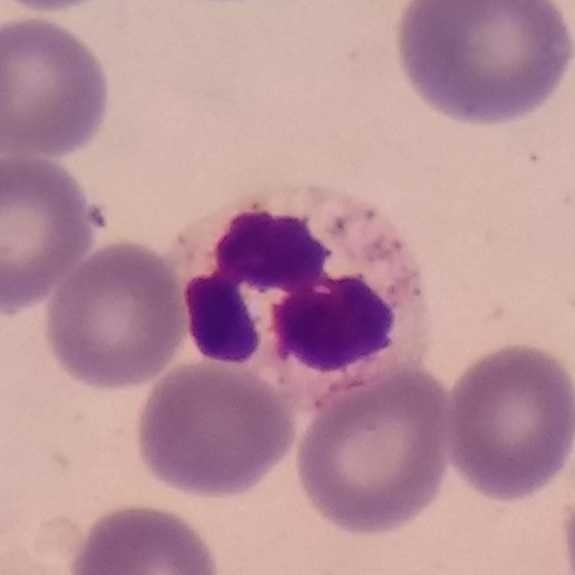
Showing a neutrophilic granulocyte.